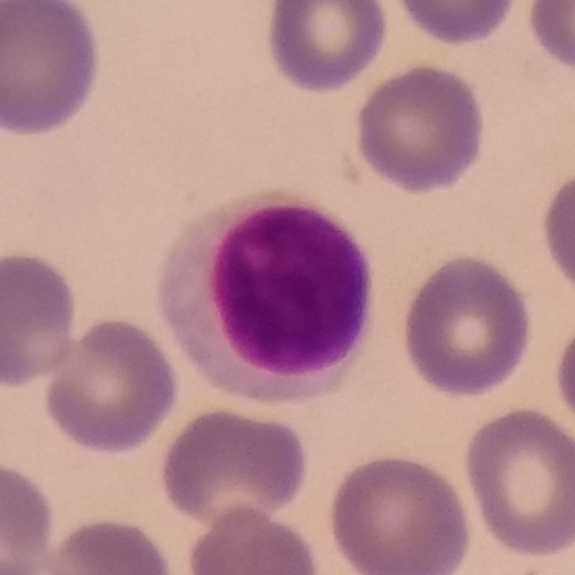 Peripheral blood film.
Morphology — lymphocyte.